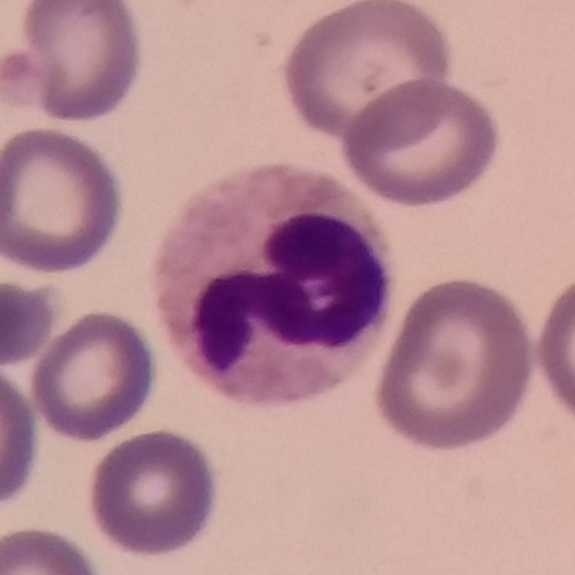
Acquisition: Peripheral blood film. This is a neutrophilic granulocyte.